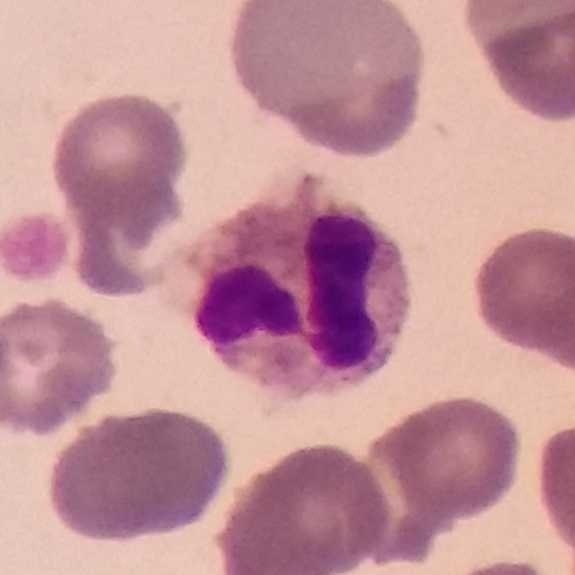 Acquisition: Peripheral blood film.

Impression → neutrophil.